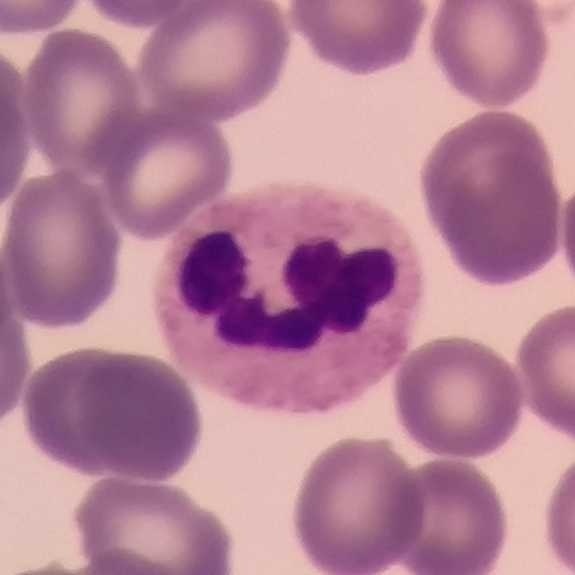 A neutrophilic granulocyte.